Peripheral blood film — 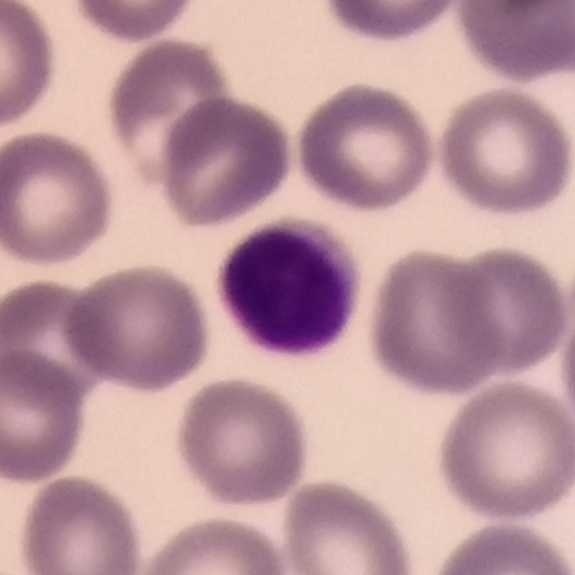 Q: What type of cell is this?
A: Lymphocyte.